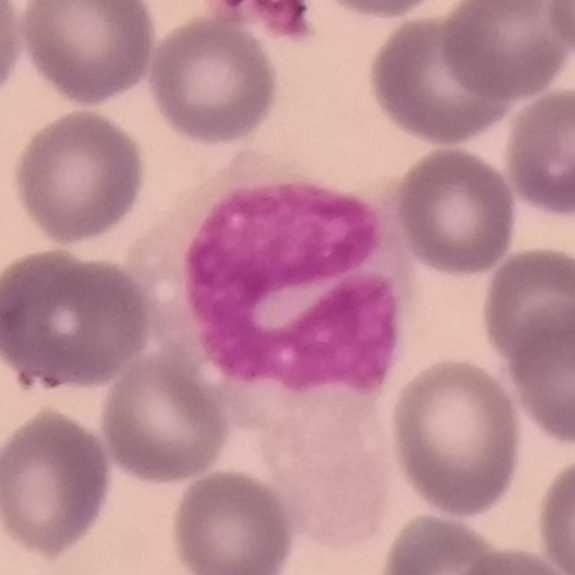

Image: Phone-camera image taken through the microscope ocular · peripheral blood film.

The white blood cell in this image is a monocyte.